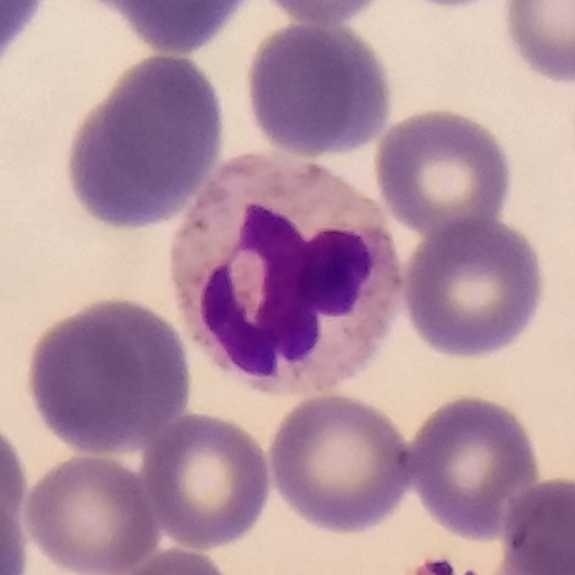 Peripheral blood smear · cropped to one leukocyte.
{"cell_type": "neutrophil"}